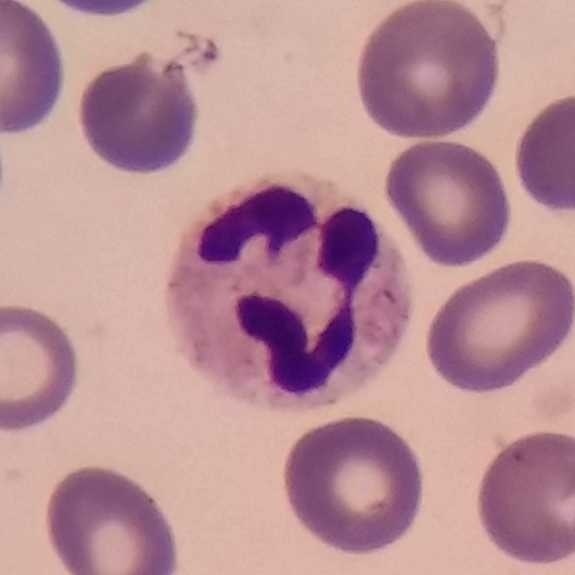Identified as a neutrophil. Context: 100× magnification. Peripheral blood film.